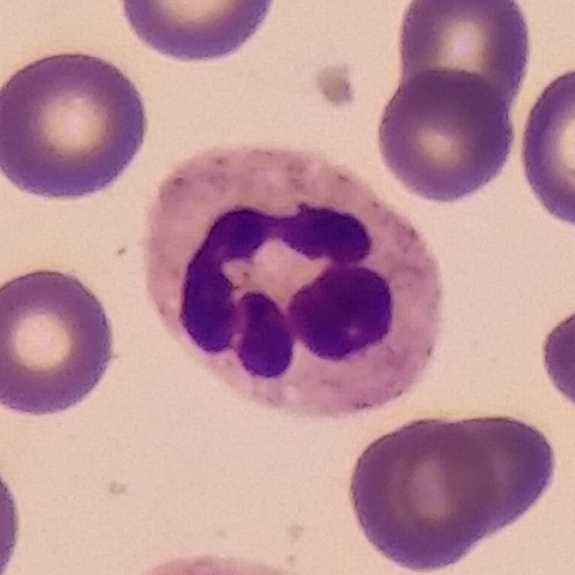Context: Peripheral blood film.

Showing a neutrophil granulocyte.